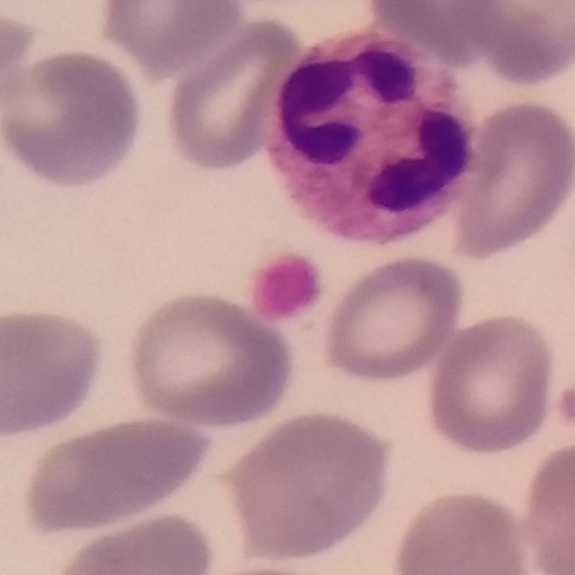 The cell is neutrophilic granulocyte.

Acquisition: Smartphone camera mounted on the microscope eyepiece; peripheral blood smear.